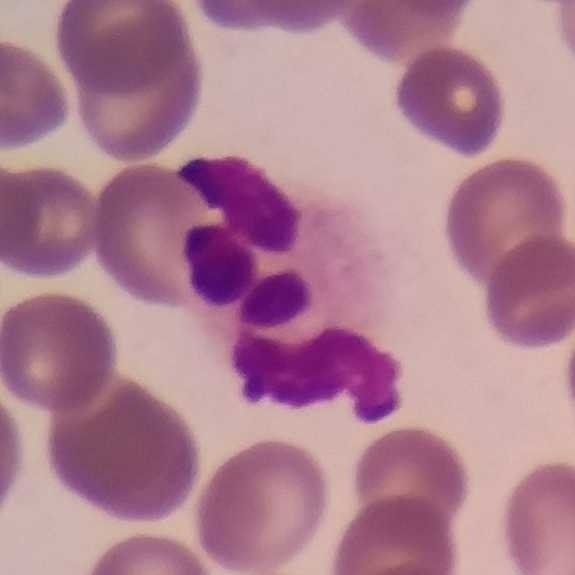

Identified as a neutrophil granulocyte.

Peripheral blood smear. 575×575.